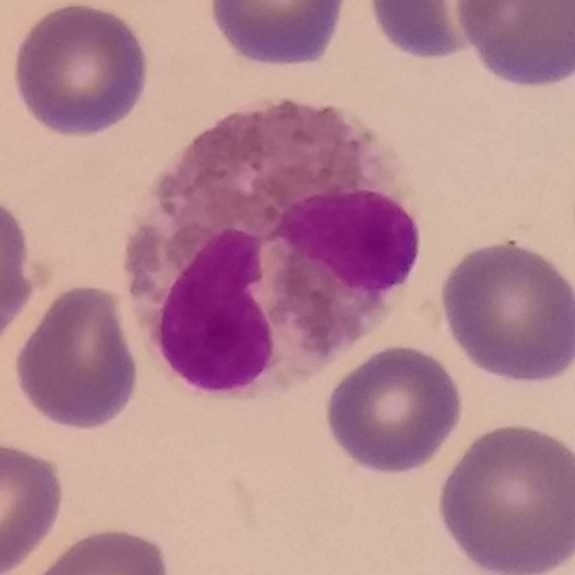Acquisition: Peripheral blood film.
Impression → eosinophilic granulocyte.